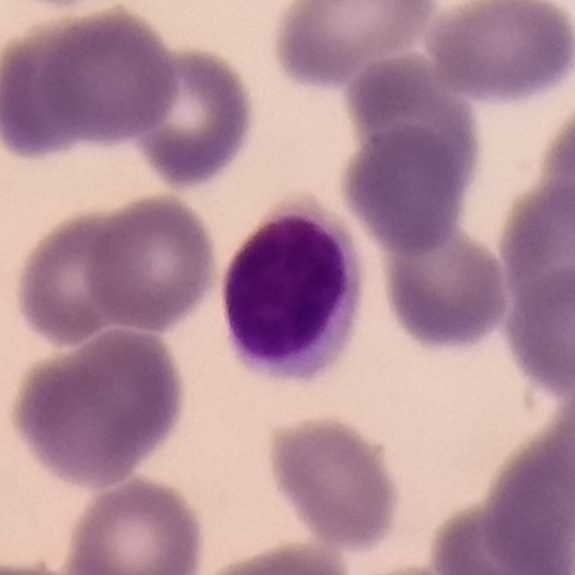

Impression — lymphocyte.
Image: 575 by 575 pixels · peripheral blood film.